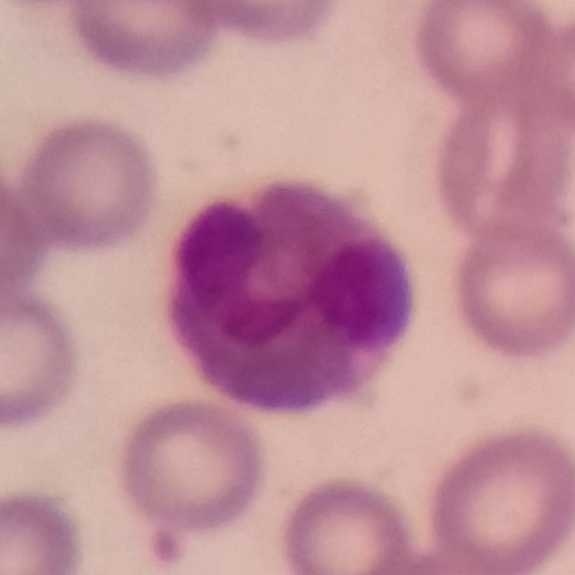 An eosinophil on a peripheral blood smear.